Smartphone photomicrograph. Giemsa-stained. Peripheral blood smear:
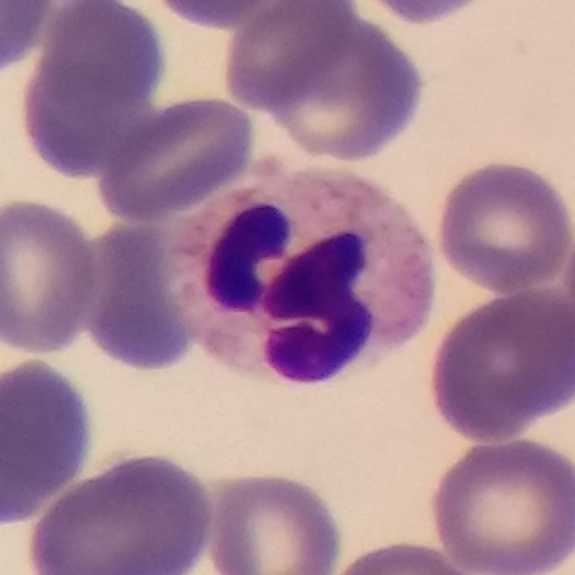
This is a neutrophilic granulocyte.